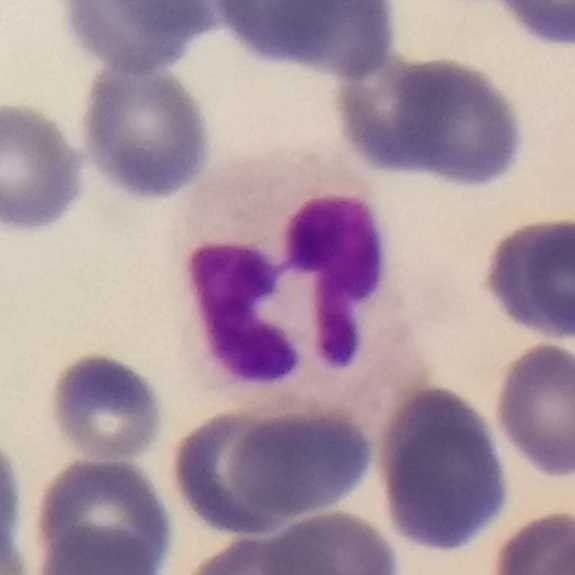Q: What type of cell is this?
A: Neutrophilic granulocyte.
Acquisition: Peripheral blood smear.